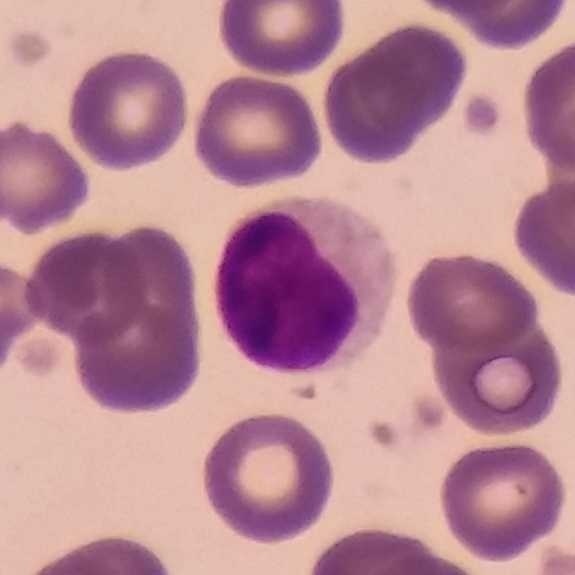 Impression — lymphocyte.